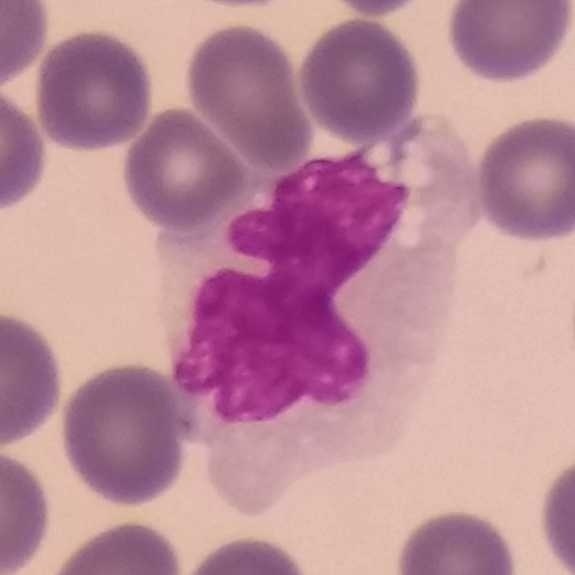
Preparation: Giemsa-stained; peripheral blood smear.

Monocyte.